Peripheral blood smear; image size 575×575:
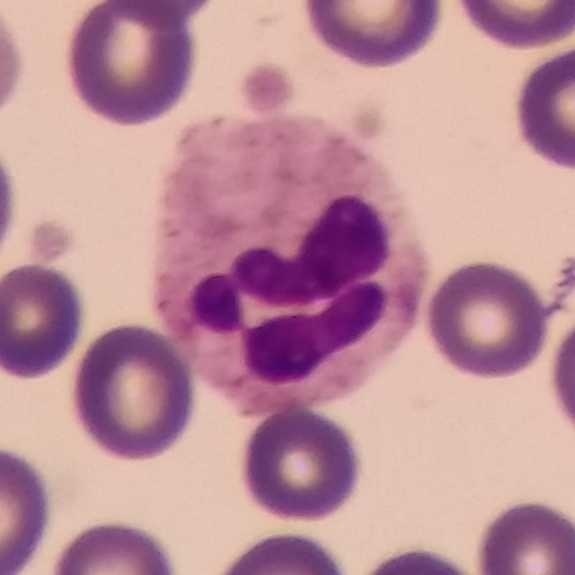
Specimen: peripheral blood smear.
White blood cell type: neutrophil granulocyte.